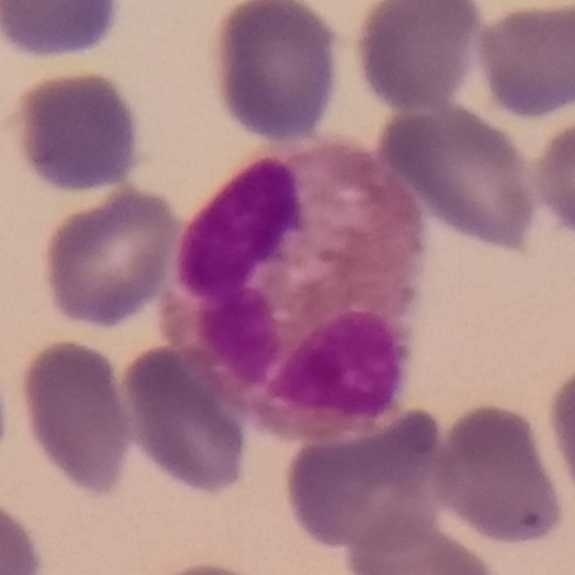

Morphology → eosinophil.